Peripheral blood smear · smartphone camera mounted on the microscope eyepiece · magnification 100×: 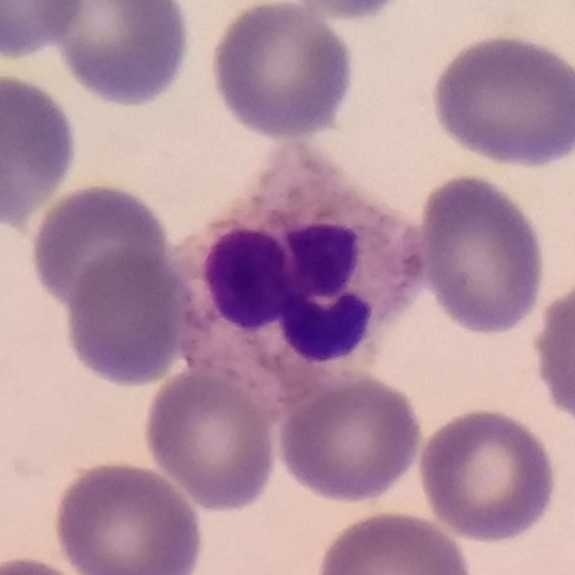 Classification = neutrophil.